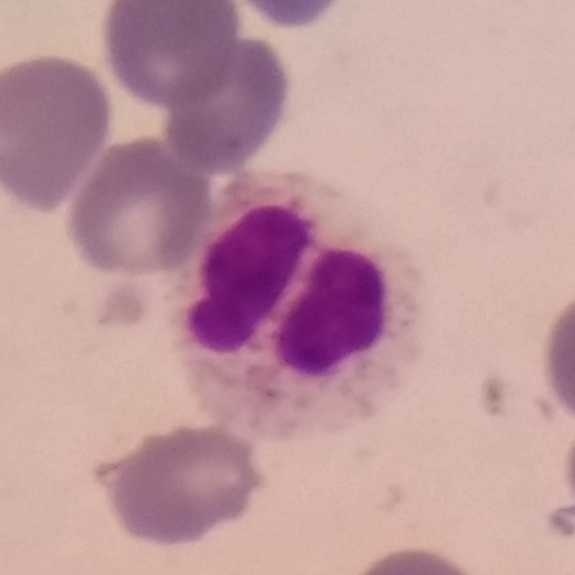
Specimen: peripheral blood film.
Cell: neutrophil granulocyte.